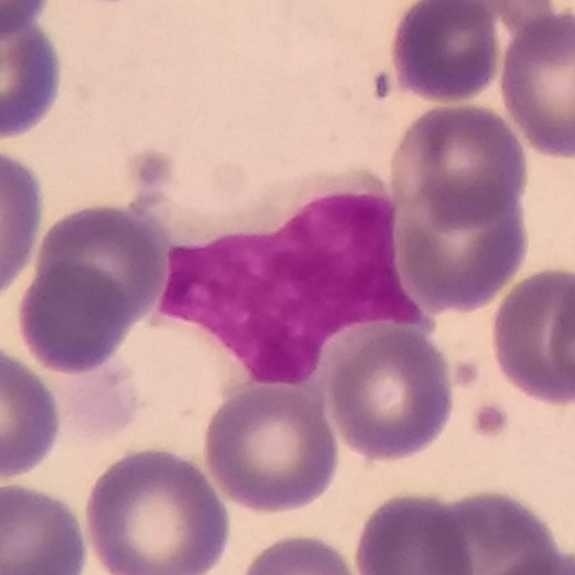 Context: Peripheral blood film · phone-camera image taken through the microscope ocular.
The cell shown is a monocyte.